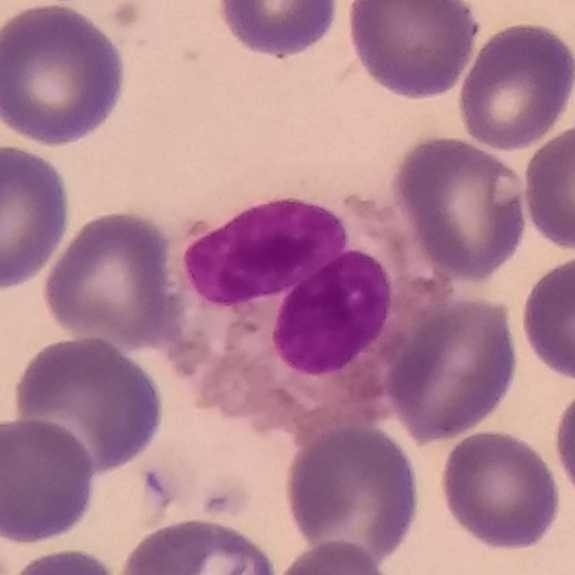 Peripheral blood smear.

An eosinophil.